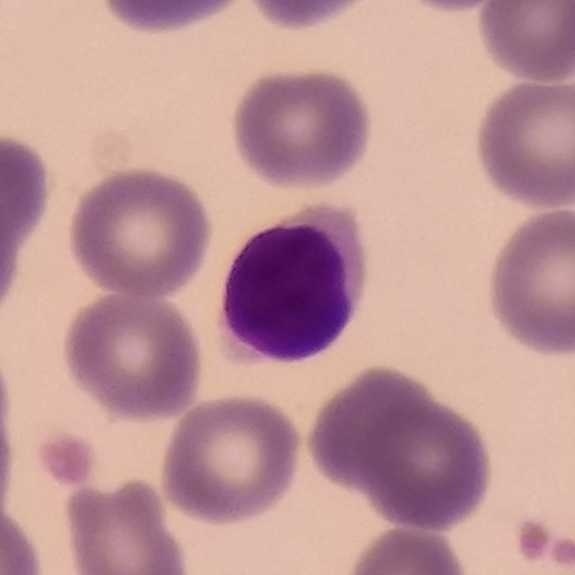A lymphocyte.
Acquisition: Peripheral blood smear.